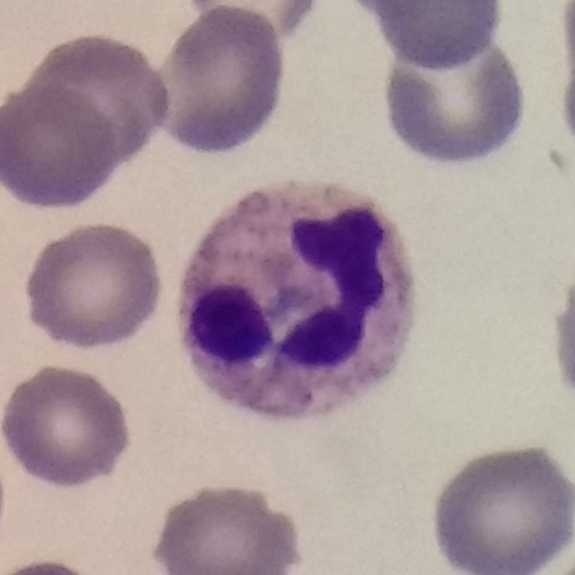
From a peripheral blood smear: a neutrophilic granulocyte.